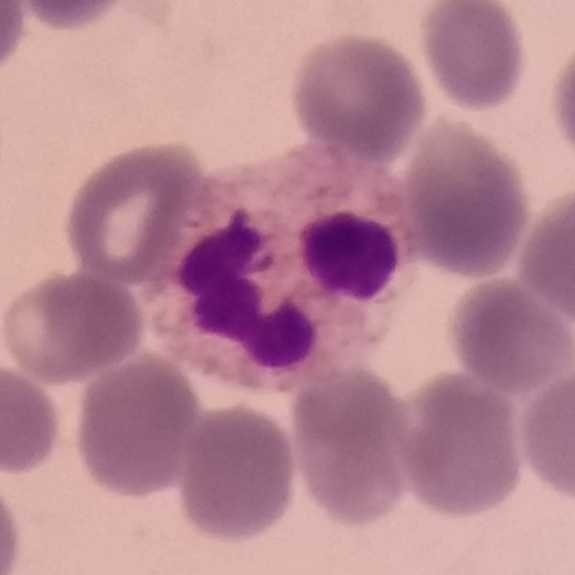Preparation: Peripheral blood smear.
The white blood cell in this image is a neutrophil.